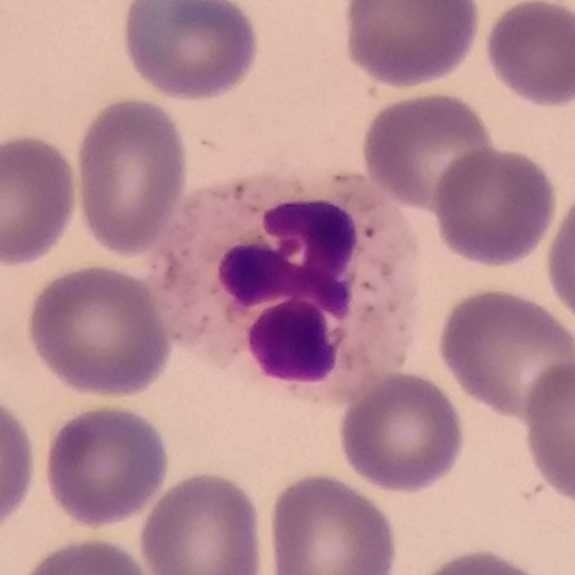

Q: Classify this leukocyte.
A: Neutrophil.

Peripheral blood film · stained with Giemsa · 575×575 px.